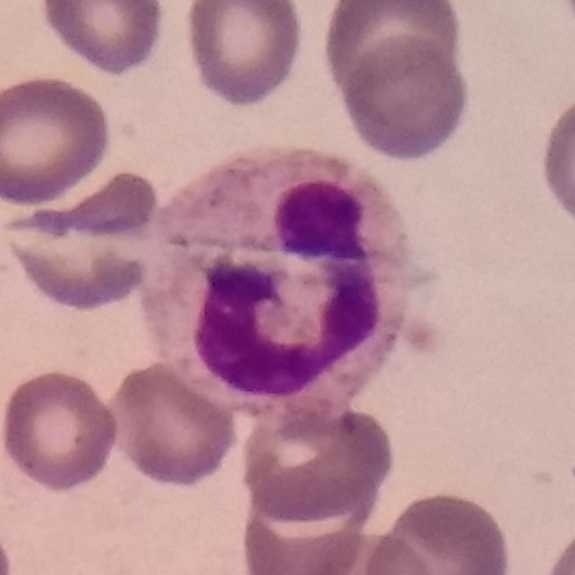Impression → neutrophilic granulocyte.

Preparation: Peripheral blood smear.